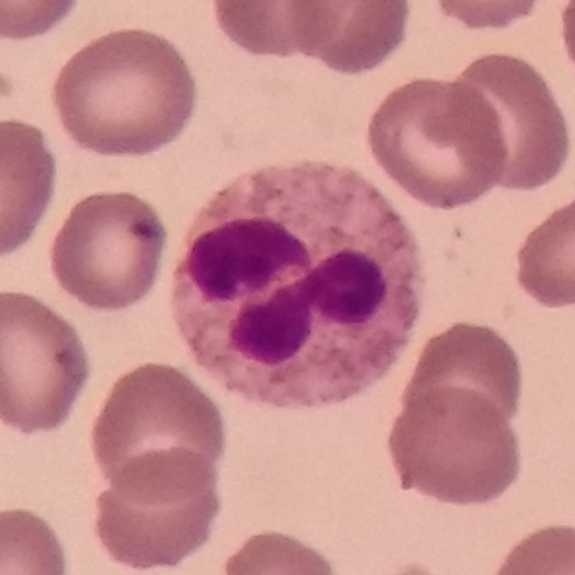The white blood cell in this image is a neutrophilic granulocyte. Preparation: Peripheral blood smear.